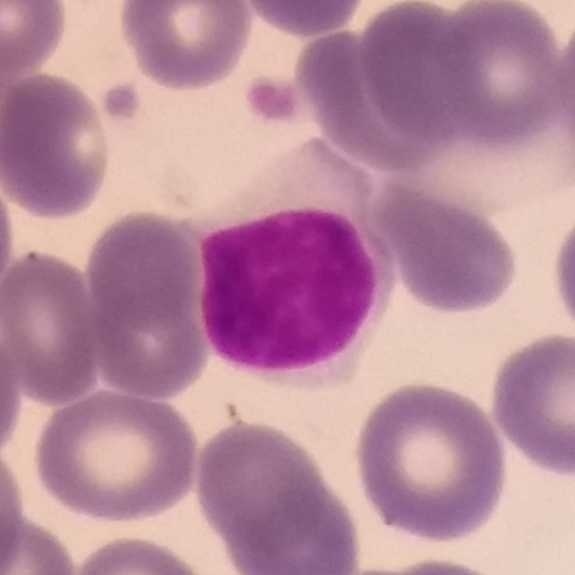

Impression — lymphocyte.

Context: Imaged at 100×; peripheral blood film.